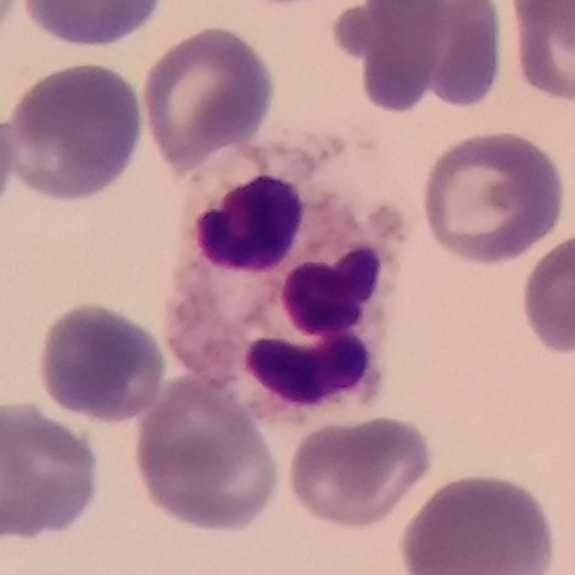Peripheral blood smear. Q: Which type of white blood cell is this?
A: This is a neutrophilic granulocyte.